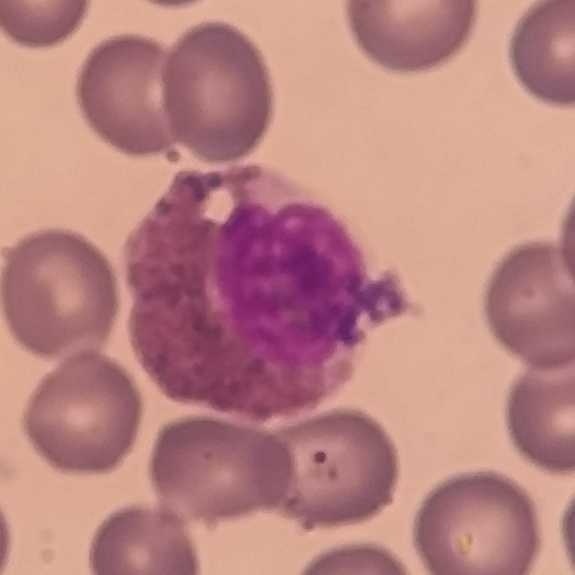
Peripheral blood smear; single white blood cell cropped from the smear photograph. Identified as an eosinophil.